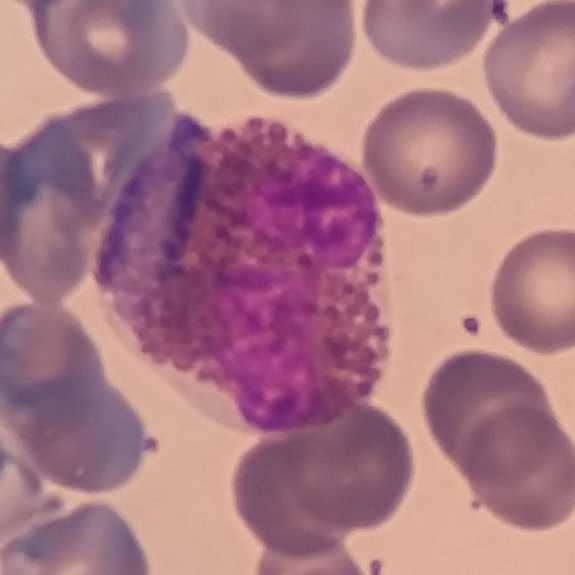 {"cell_type": "eosinophilic granulocyte", "lineage": "myeloid"}